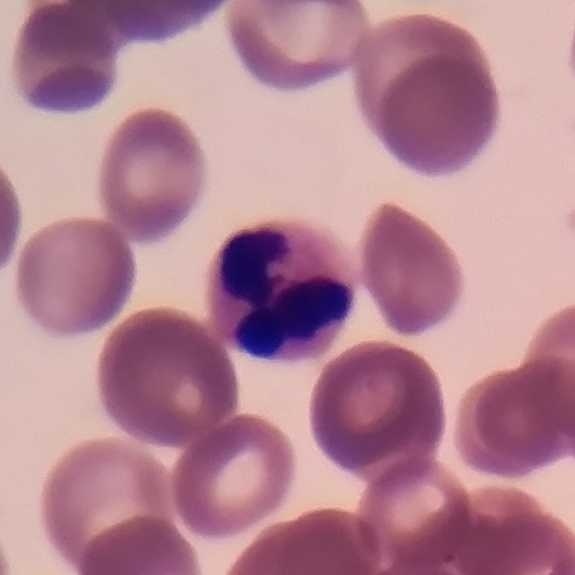

This is a neutrophilic granulocyte.
Acquisition: Imaged at 100×; peripheral blood film.